Peripheral blood film · smartphone photomicrograph:
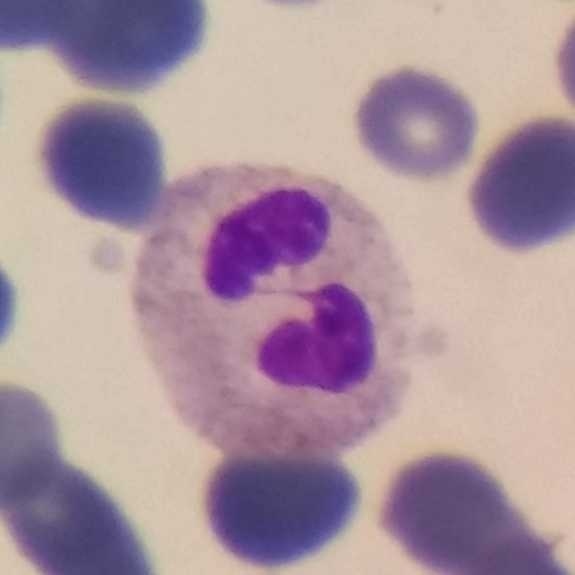Identified as a neutrophil granulocyte.